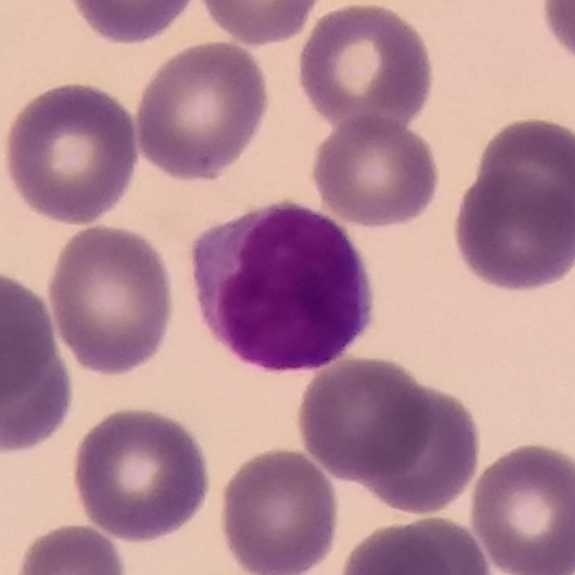
Preparation: Peripheral blood film.

Lymphocyte.